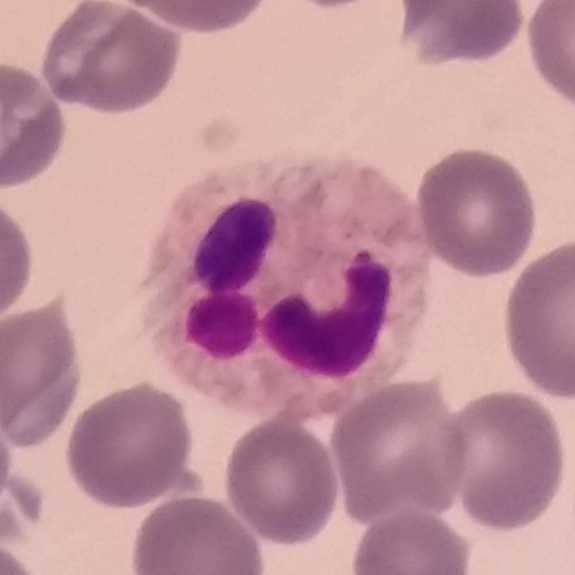 The morphological class is neutrophil granulocyte. Image: Peripheral blood smear.